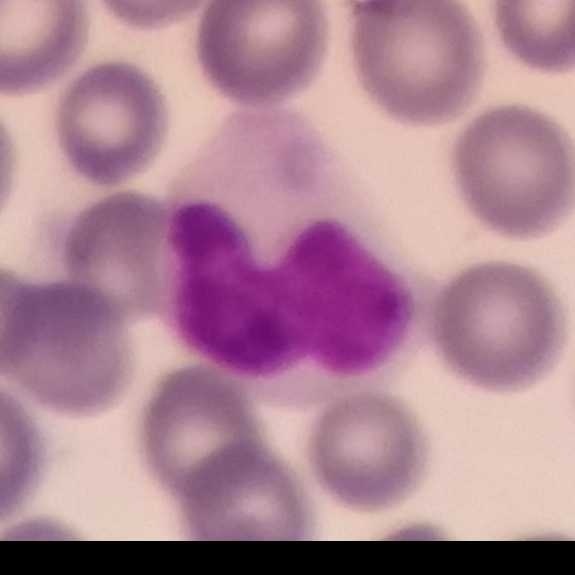
Preparation: 575×575 px; Giemsa stain; peripheral blood film.

Q: Which cell type is shown here?
A: A monocyte.